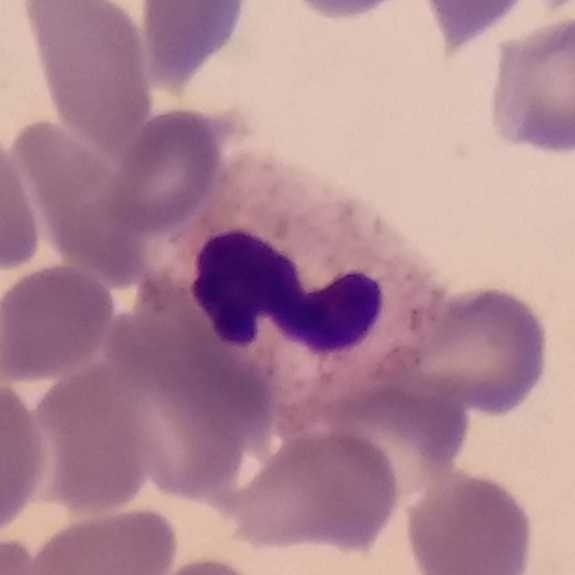 Morphology — neutrophil granulocyte. Context: Image size 575×575. Peripheral blood smear.